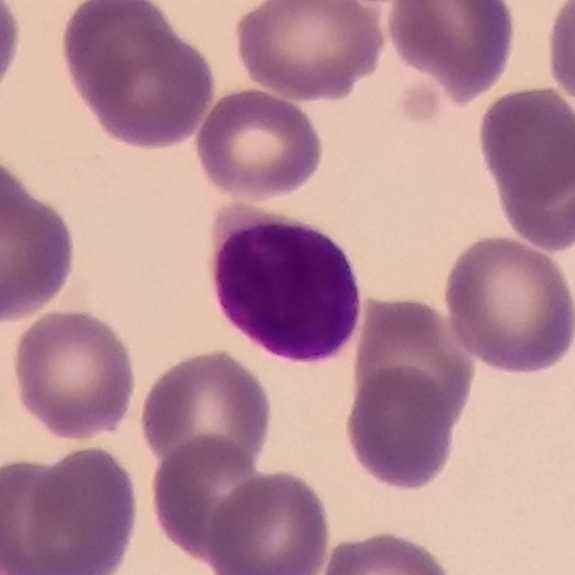Q: What type of cell is this?
A: It is a lymphocyte.